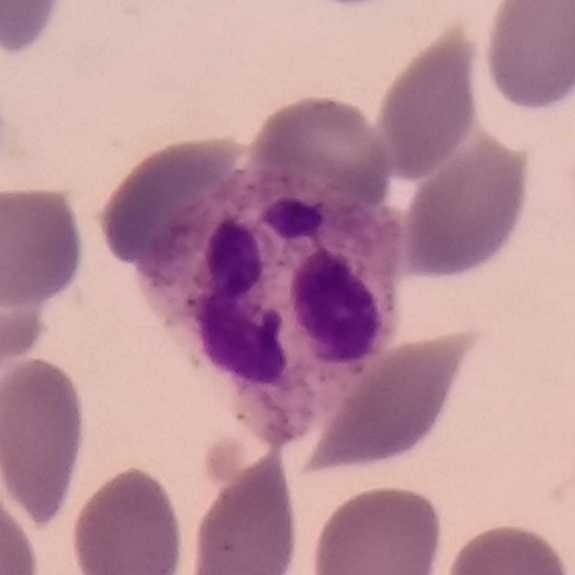 The morphological class is neutrophil granulocyte.
Peripheral blood smear.